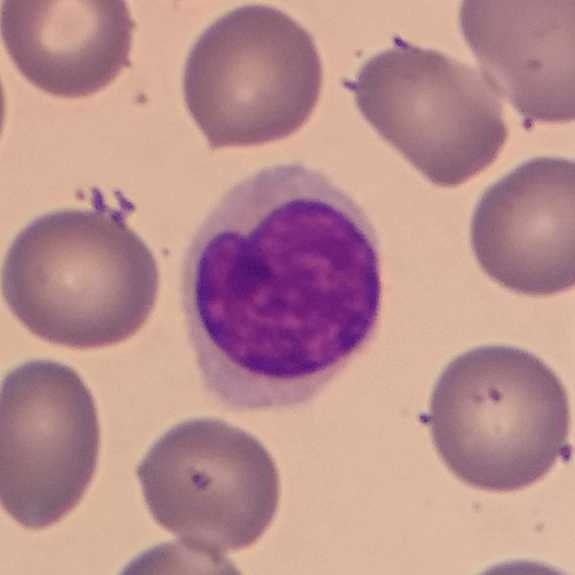

A lymphocyte.